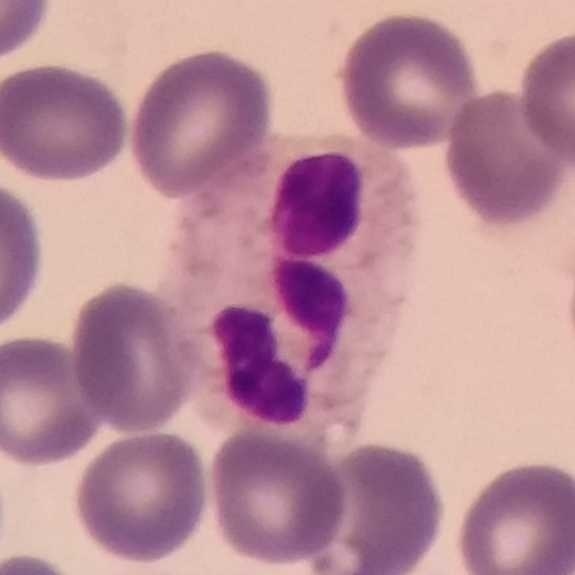

Cell = neutrophil.